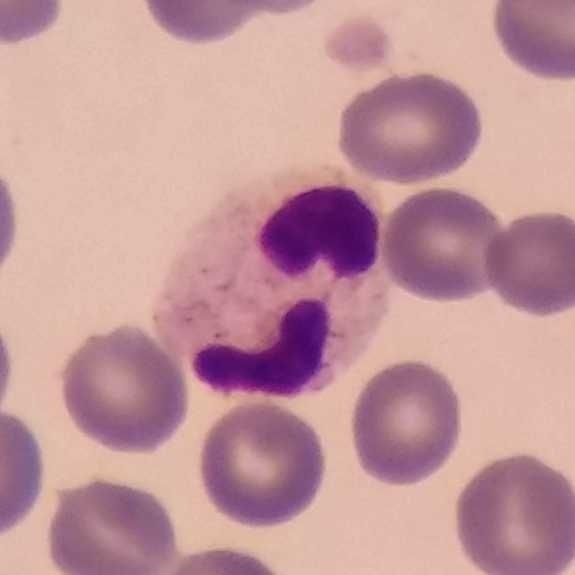

Cell type = neutrophil granulocyte.